Peripheral blood smear — 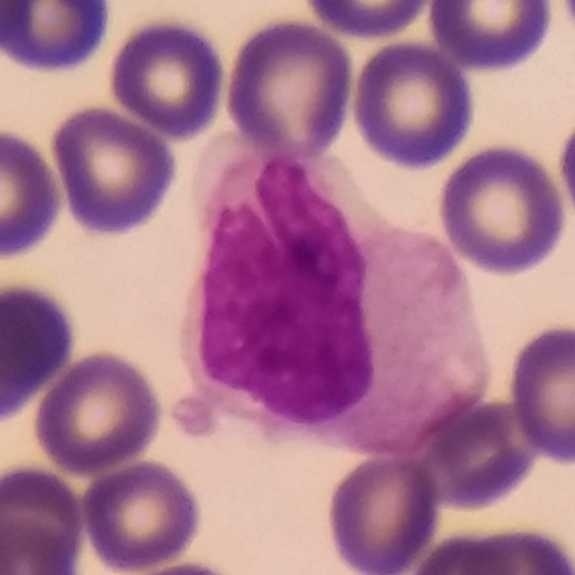The cell shown is a monocyte.